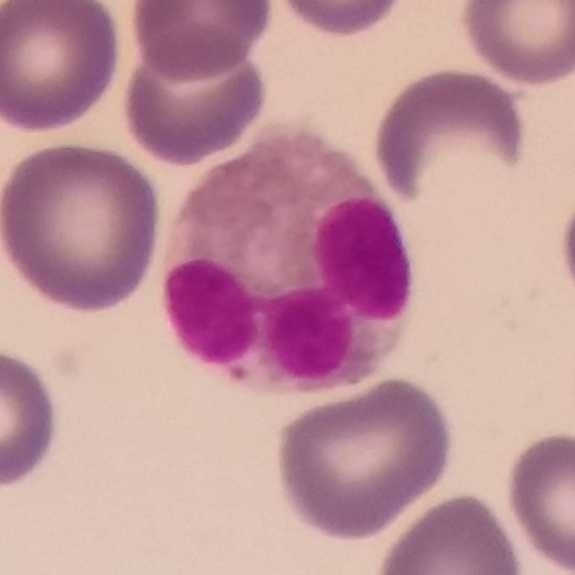 Morphology — eosinophilic granulocyte.
Image: Peripheral blood film.